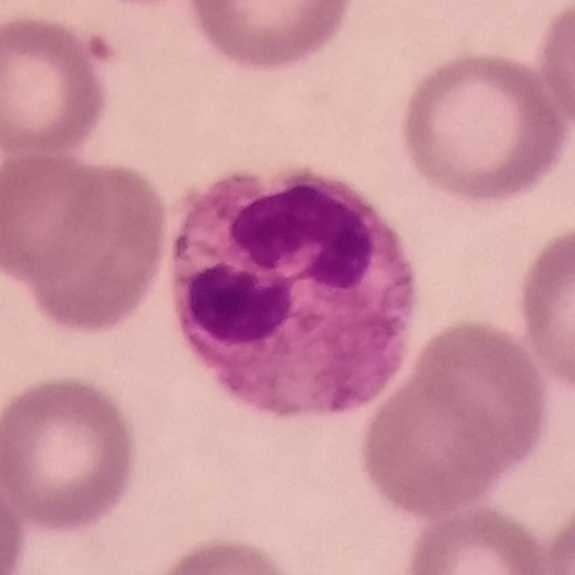

Morphology consistent with a neutrophil.